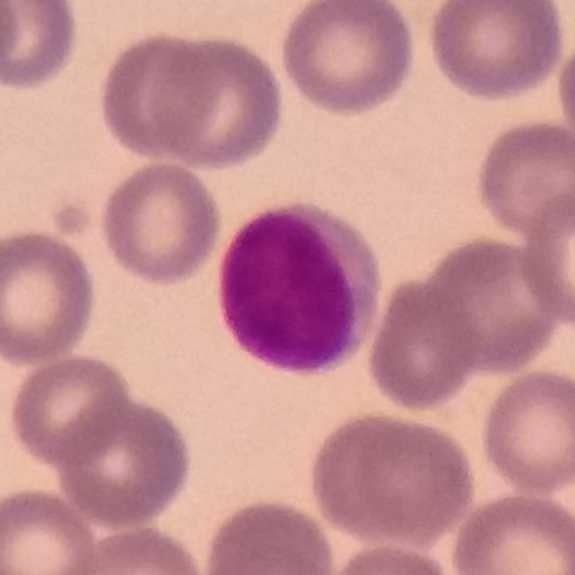Q: Which cell type is shown here?
A: A lymphocyte.